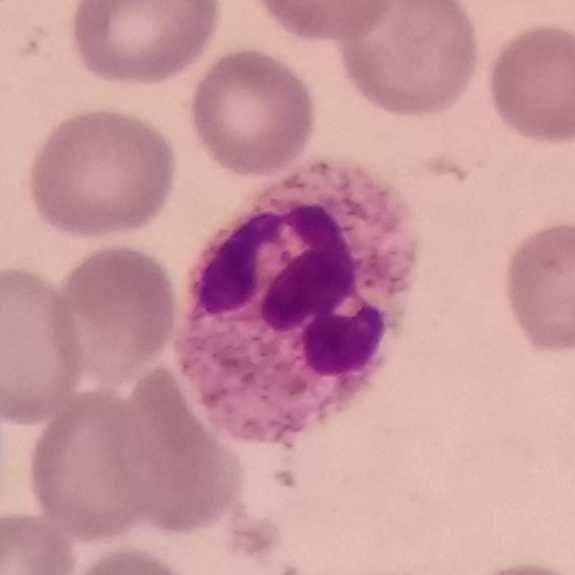 The cell type is neutrophil.
Preparation: Peripheral blood film.